Peripheral blood smear:
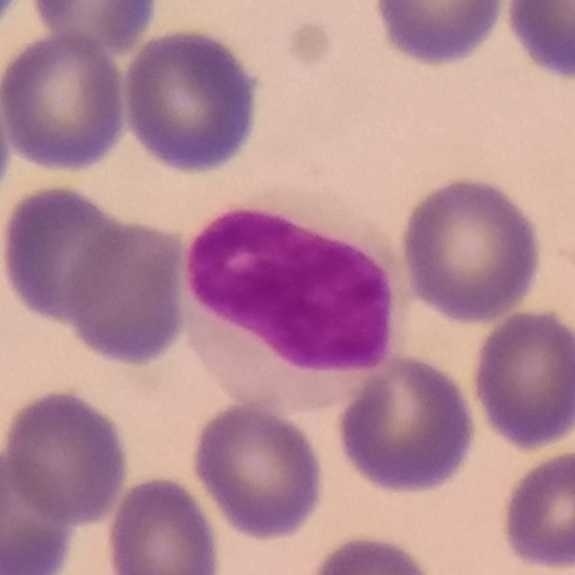
The cell shown is a lymphocyte.